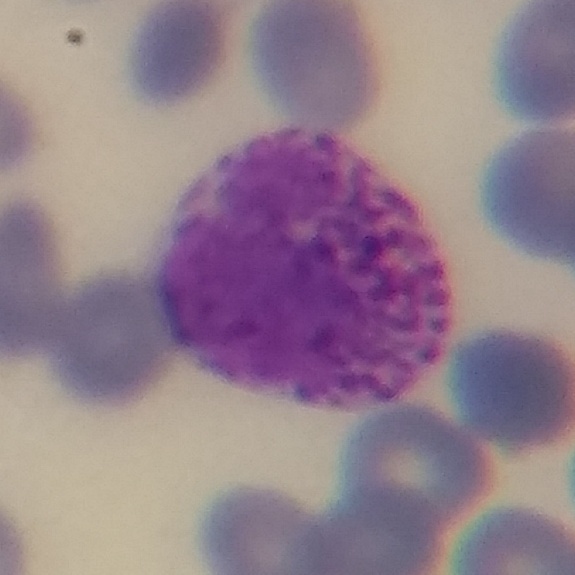
Acquisition: Peripheral blood film · 575 by 575 pixels · Giemsa-stained.

{"cell_type": "basophil"}